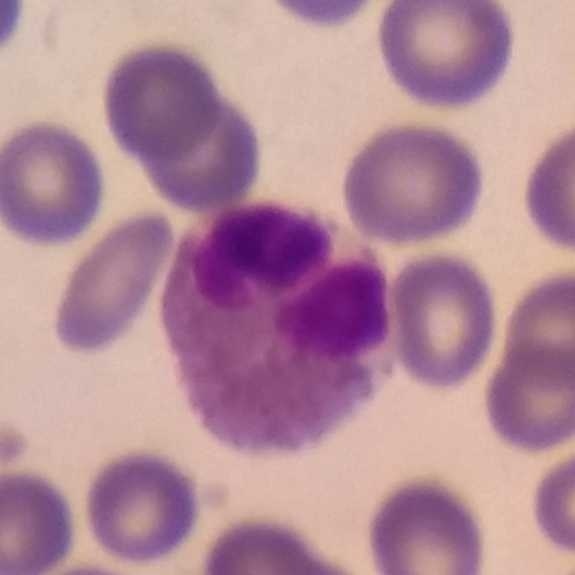

White blood cell type — eosinophil.